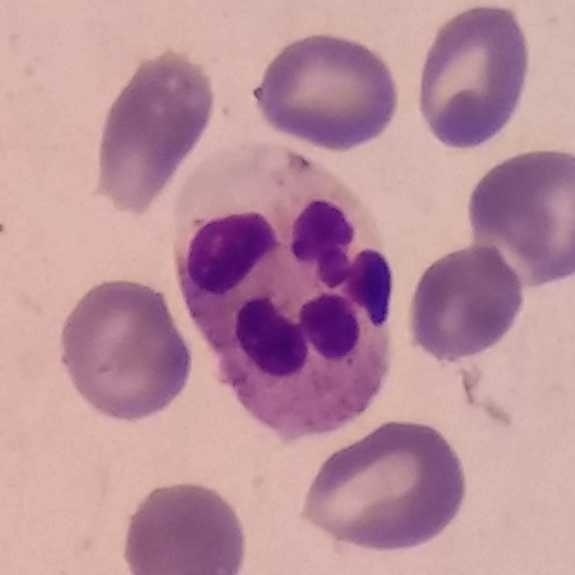 Acquisition: Peripheral blood smear. Single-cell field.
The cell type is neutrophilic granulocyte.